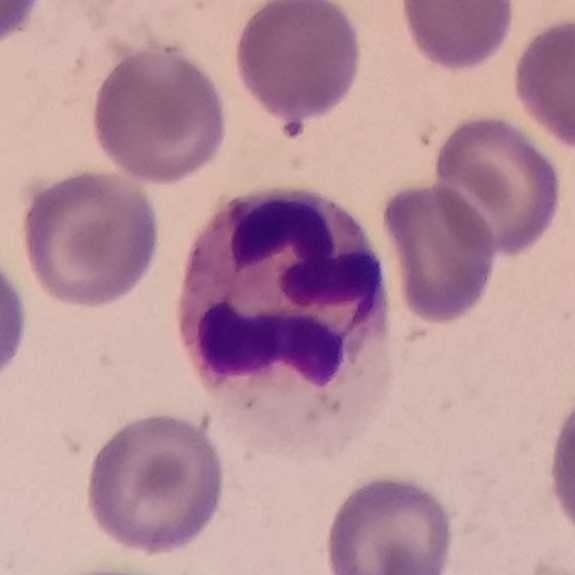

A neutrophil granulocyte on a peripheral blood smear.